Smartphone camera mounted on the microscope eyepiece; Giemsa-stained; peripheral blood smear
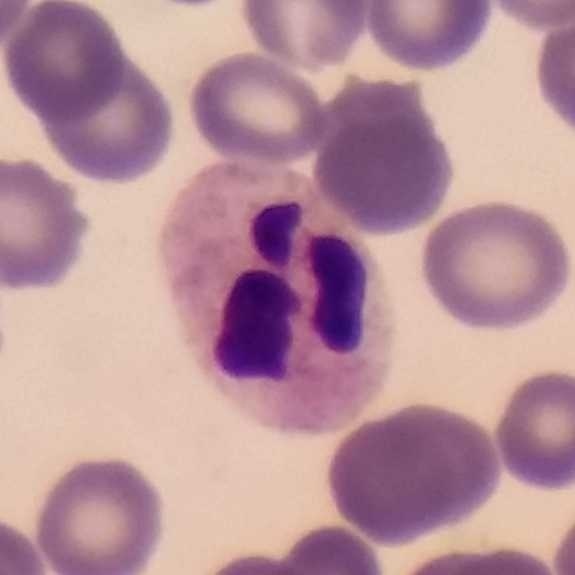 The cell shown is a neutrophil granulocyte.